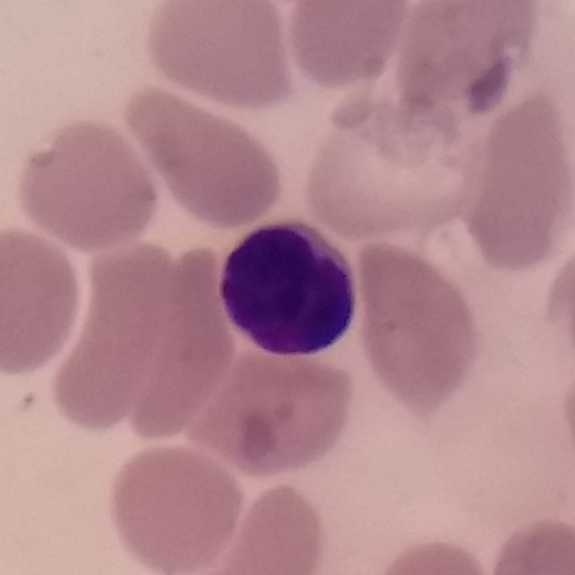

Q: What is shown here?
A: This is a lymphocyte.